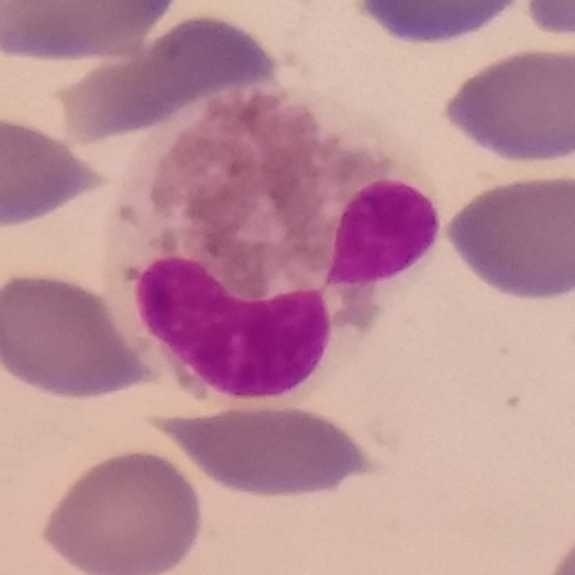
The white blood cell in this image is an eosinophilic granulocyte.